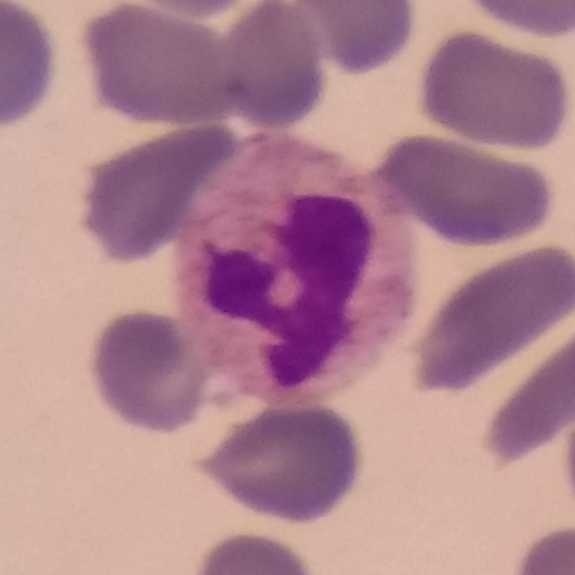{"cell_type": "neutrophil granulocyte", "lineage": "myeloid"}
Acquisition: Peripheral blood smear · phone-camera image taken through the microscope ocular · 575×575.